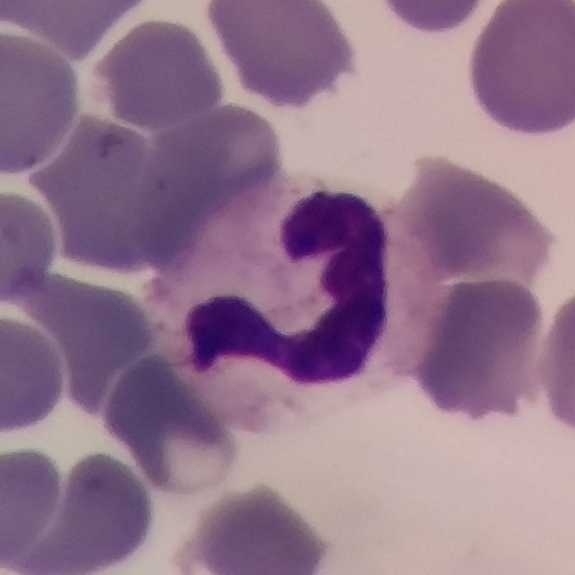Peripheral blood smear.

Identified as a neutrophil.